Peripheral blood smear:
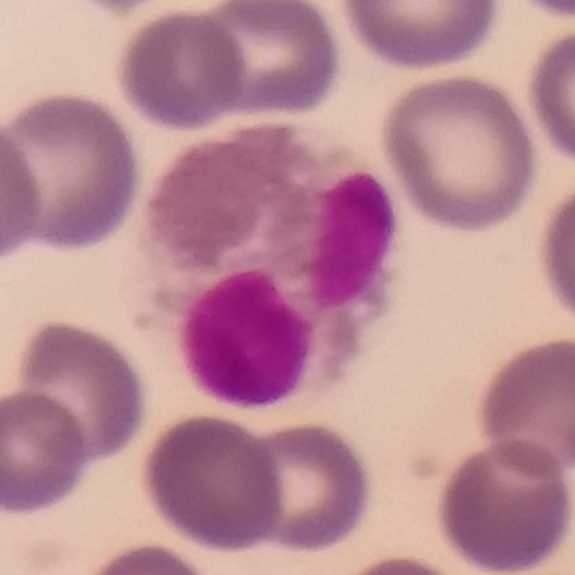
This is an eosinophilic granulocyte.